Peripheral blood film — 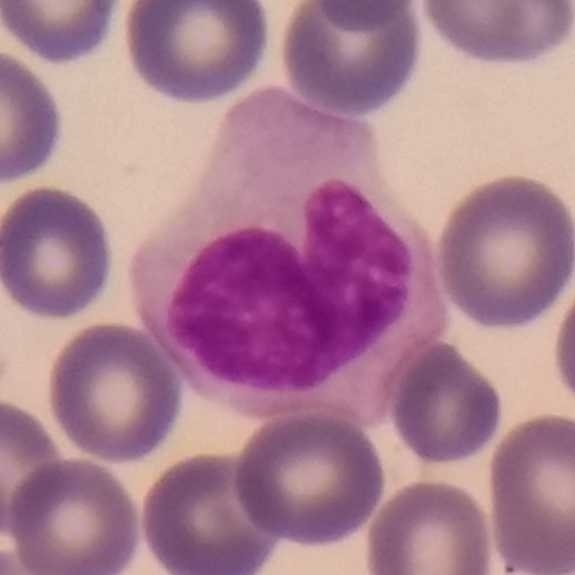

The cell shown is a monocyte.